Smartphone photomicrograph; peripheral blood smear — 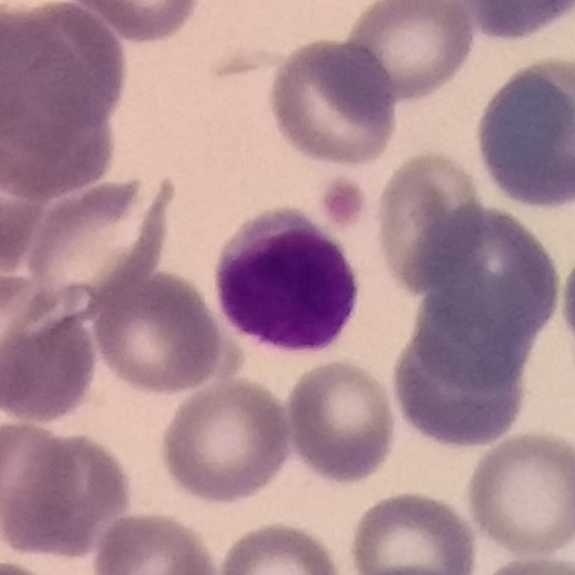

{"cell_type": "lymphocyte"}